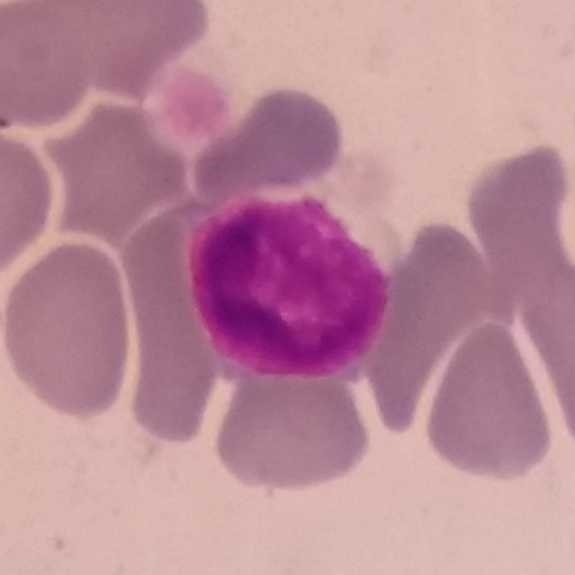
Identified as a lymphocyte.
Image: Peripheral blood film · photographed through a light microscope with a smartphone camera.